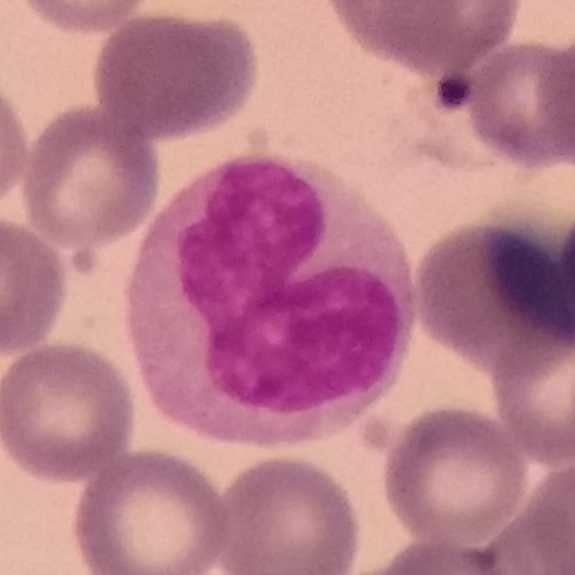
Q: Classify this leukocyte.
A: A monocyte. Peripheral blood smear · stained with Giemsa.